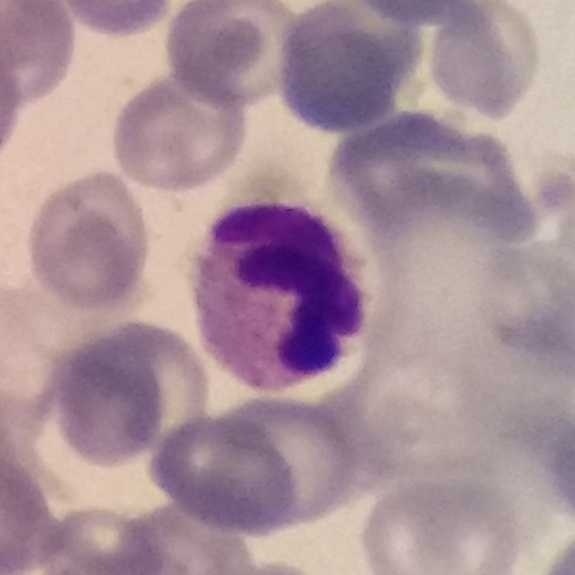

Q: Identify the cell.
A: It is a neutrophil.

Acquisition: Giemsa stain; peripheral blood film; 575×575.